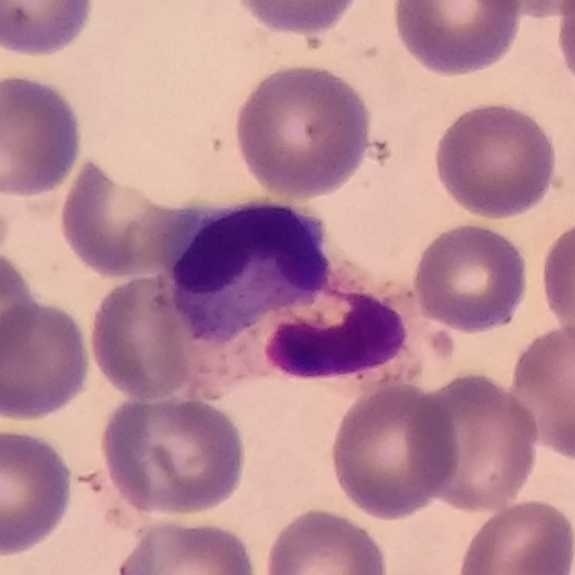
Preparation: Peripheral blood smear.

Cell — neutrophil.